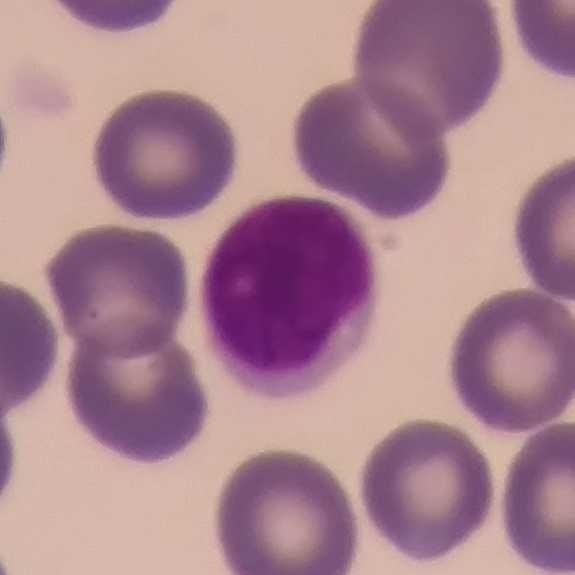

Specimen: peripheral blood film.
Classification: lymphocyte.
Context: Single-cell crop.